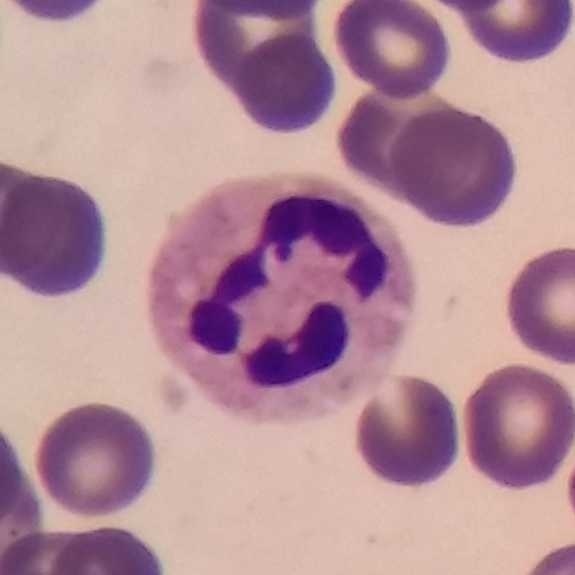A neutrophil granulocyte. 575 by 575 pixels · peripheral blood film · stained with Giemsa.